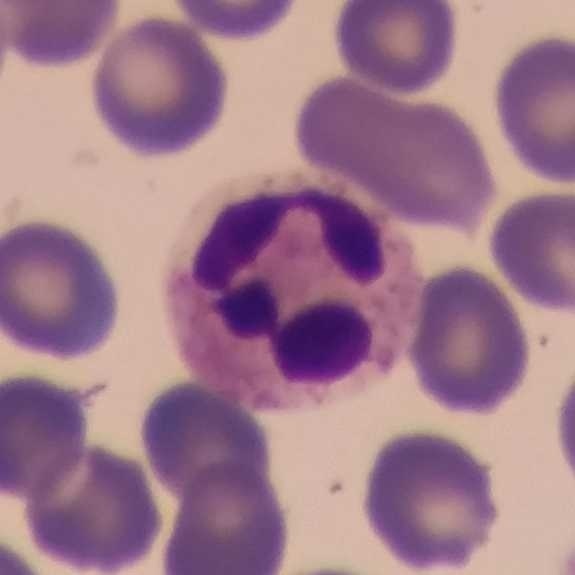
The white blood cell in this image is a neutrophil granulocyte.